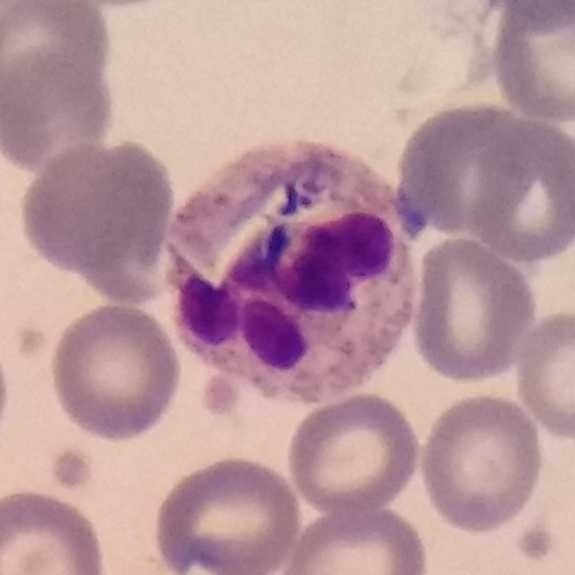

Peripheral blood film, single cell — neutrophil granulocyte.